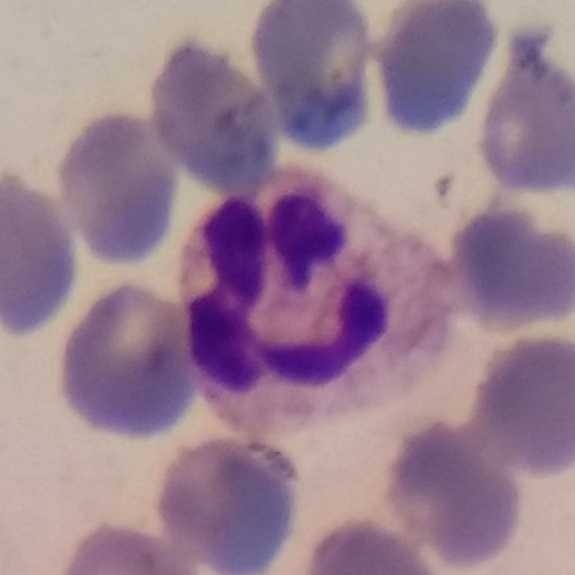
Showing a neutrophilic granulocyte.